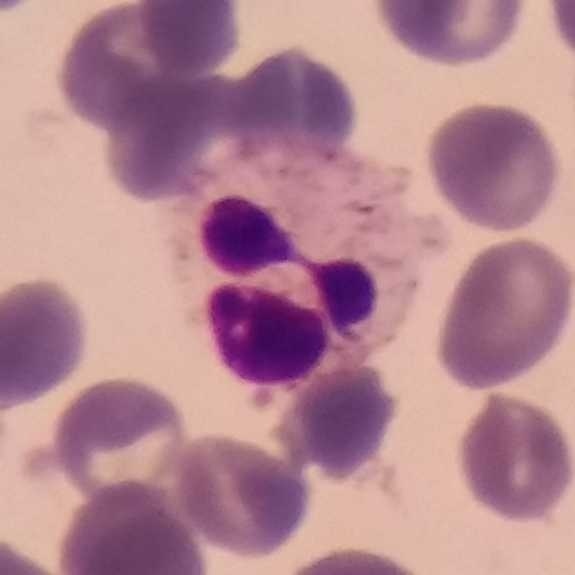
Single cell identified as a neutrophil.

Preparation: Single white blood cell cropped from the smear photograph. Peripheral blood film.